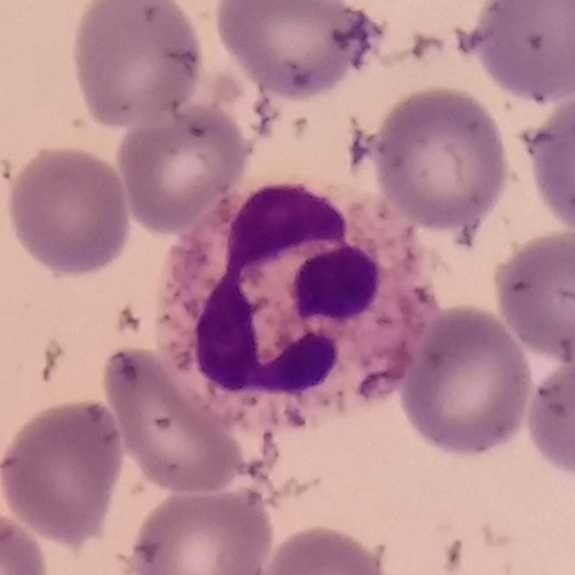 The cell is neutrophil granulocyte.